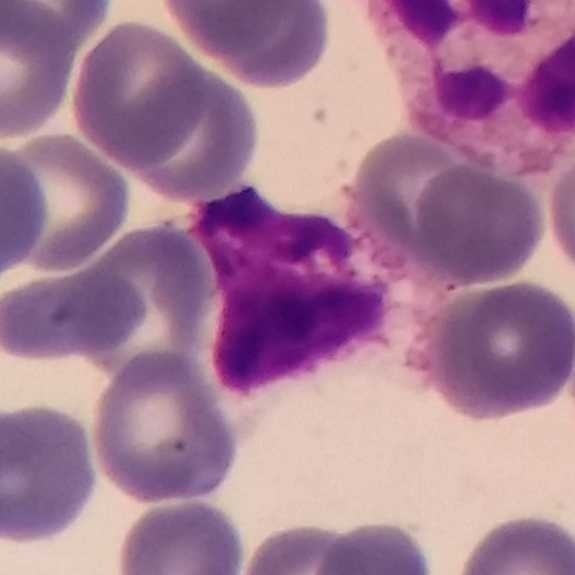

Morphology — neutrophil granulocyte.